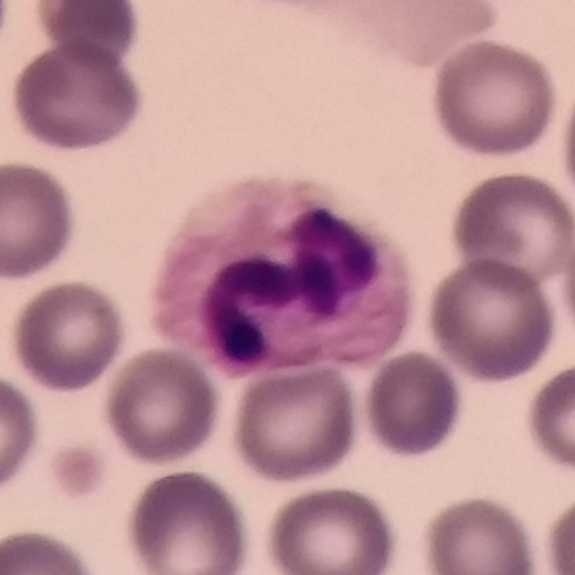

Q: What is the morphological classification of this cell?
A: A neutrophil. Peripheral blood smear.